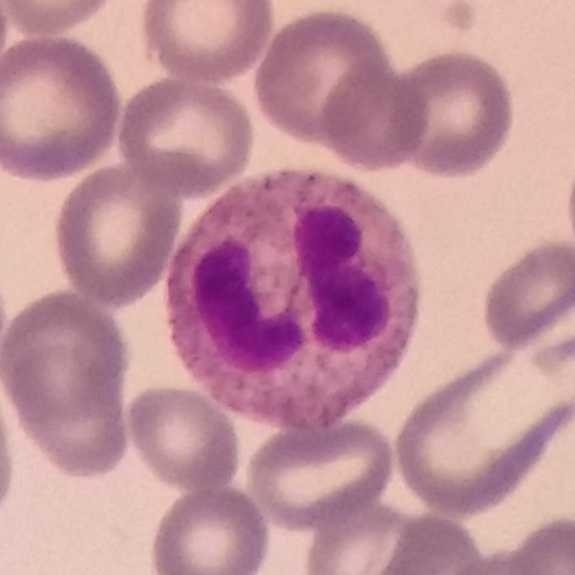

The white blood cell in this image is a neutrophilic granulocyte.

Acquisition: Single-cell field; peripheral blood film.